Peripheral blood smear.
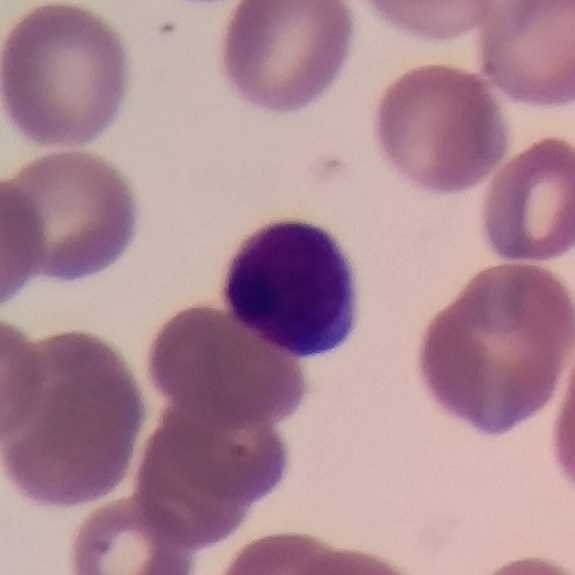

The white blood cell in this image is a lymphocyte.